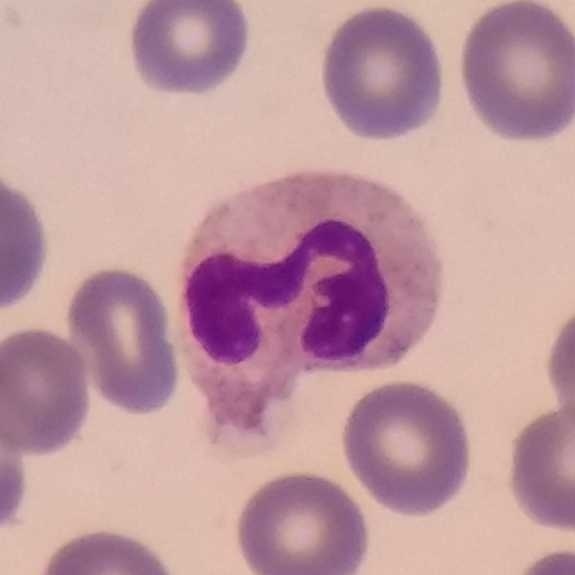 Showing a neutrophil.

Preparation: Peripheral blood film.